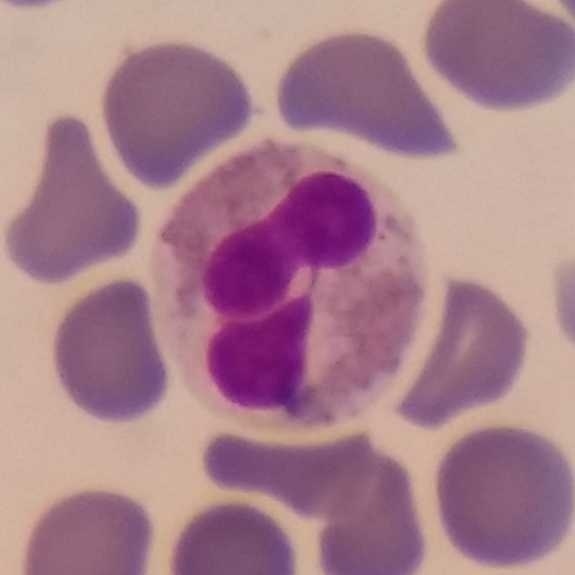 Context: Stained with Giemsa; peripheral blood film; 575×575 px. Single cell identified as an eosinophilic granulocyte.